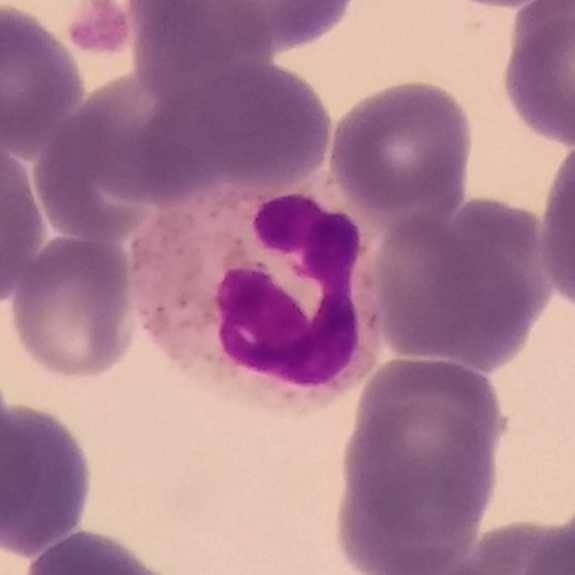 The classification is neutrophilic granulocyte.